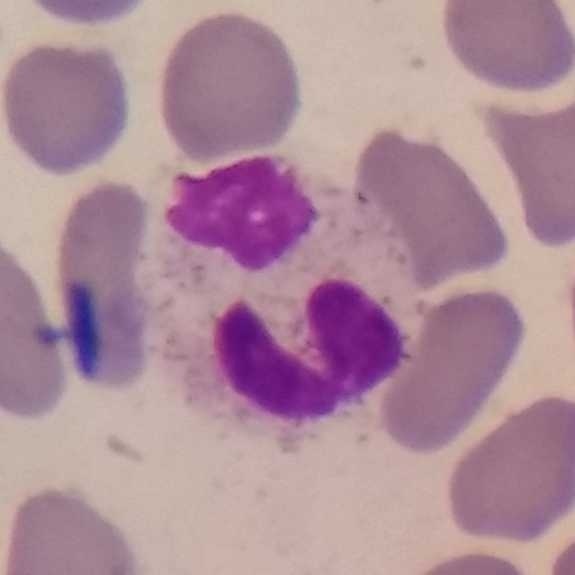
Image: Peripheral blood film.
Morphological class = neutrophil granulocyte.